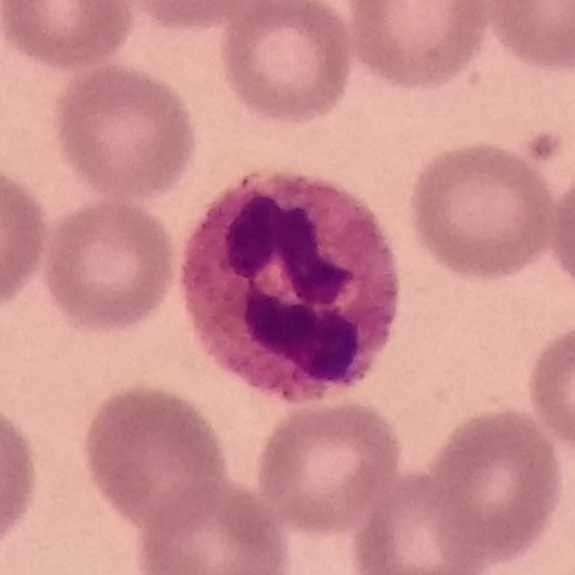The cell shown is a neutrophil granulocyte. Peripheral blood smear.